Peripheral blood film. Imaged at 100× — 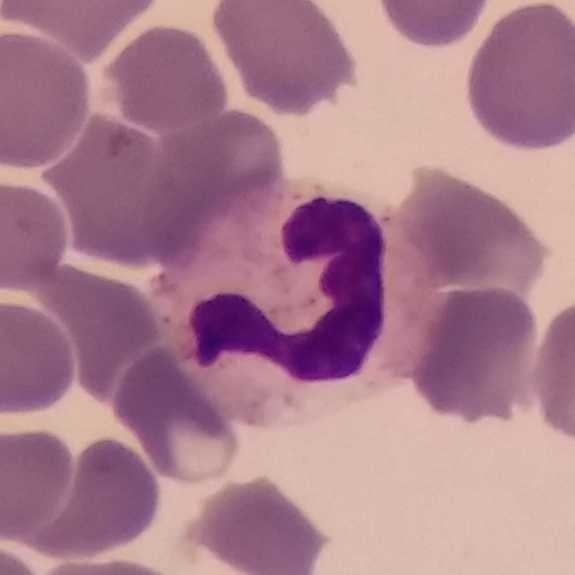 Q: Identify the cell.
A: A neutrophilic granulocyte.